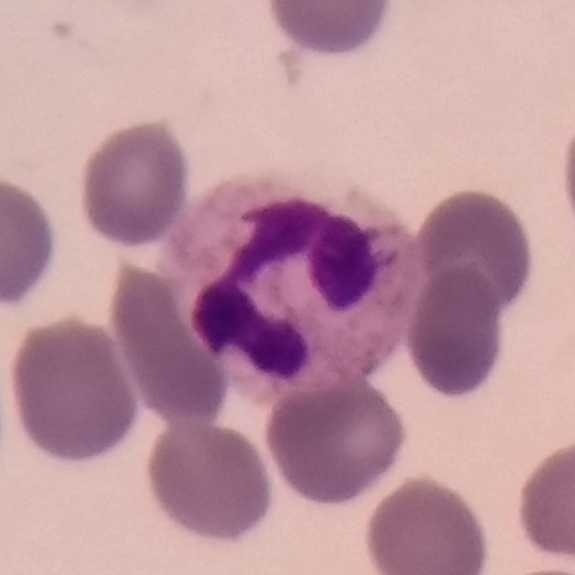
Specimen: peripheral blood film.
Cell type: neutrophil.
Lineage: myeloid.